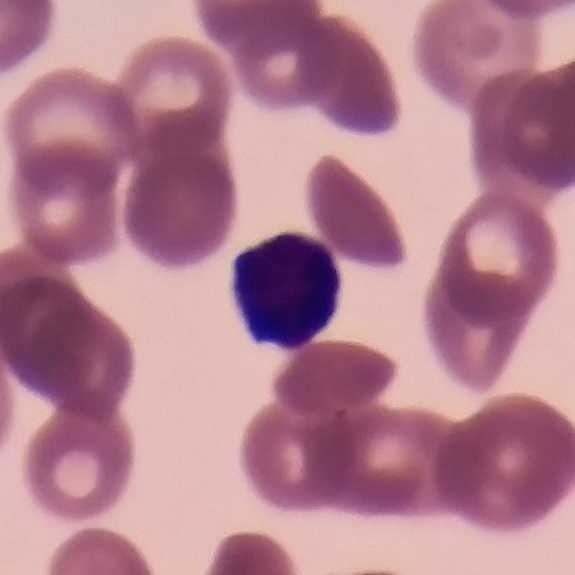A lymphocyte on a peripheral blood smear.